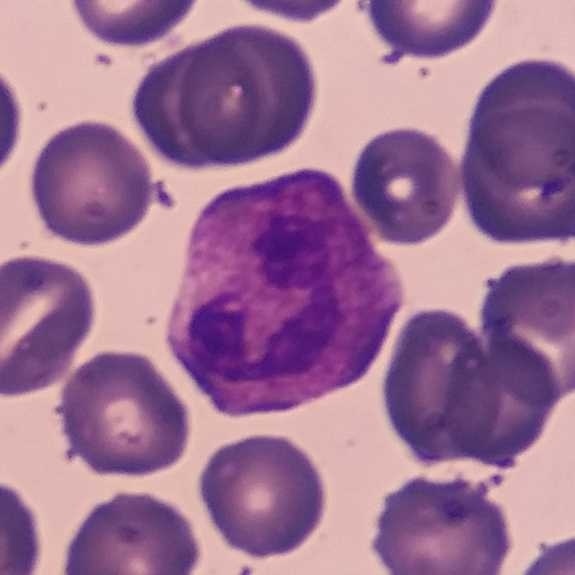 White blood cell type: neutrophilic granulocyte. Preparation: 575 by 575 pixels; peripheral blood film.